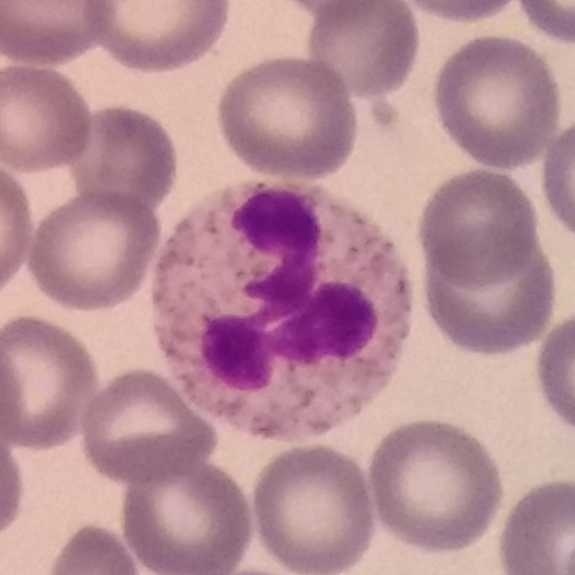Peripheral blood film. Identified as a neutrophilic granulocyte.